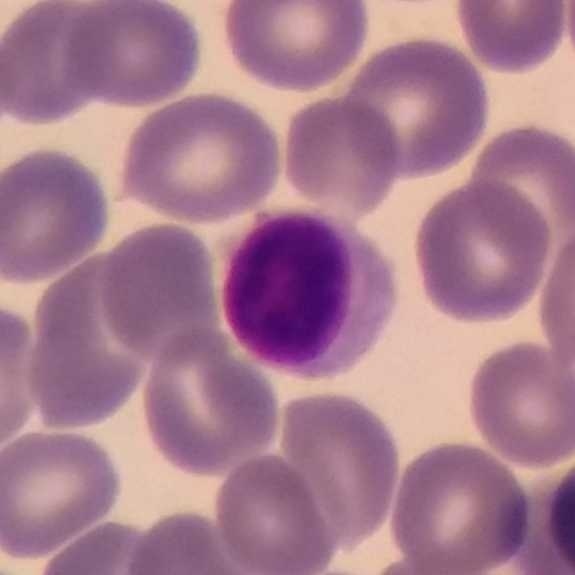Impression → lymphocyte.